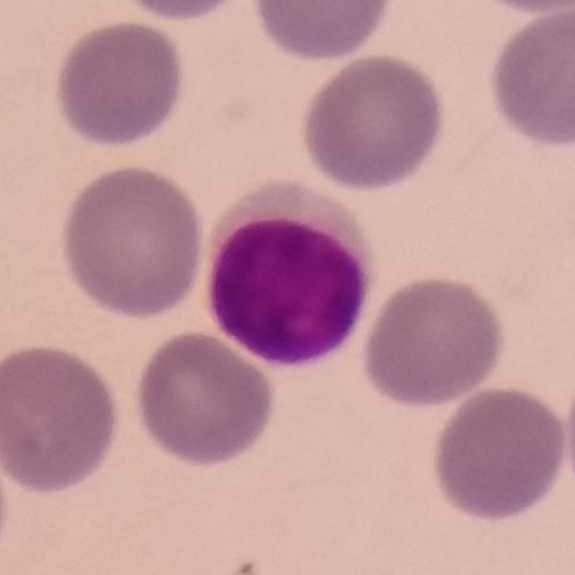Classification — lymphocyte.
Context: Peripheral blood film.